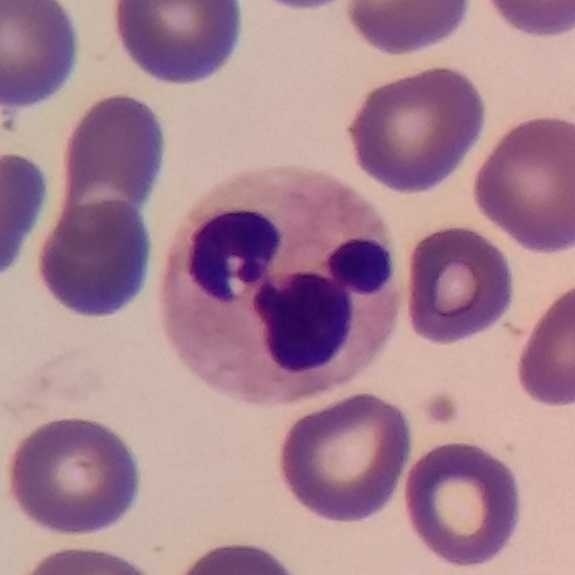

The cell is neutrophil.
Image: Image size 575×575. Peripheral blood smear.